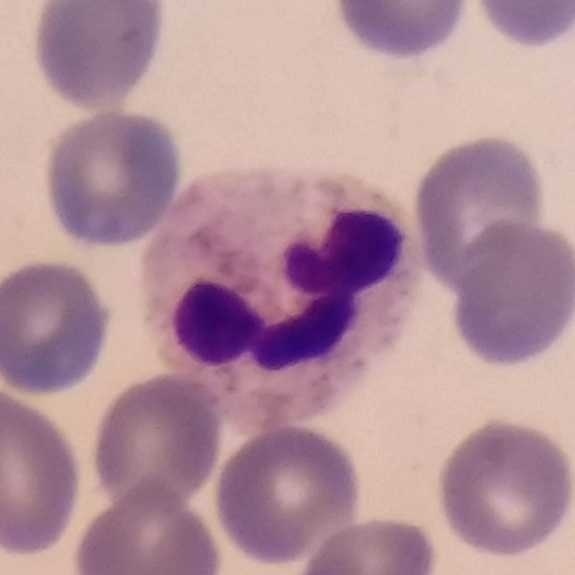
Classification: neutrophilic granulocyte.